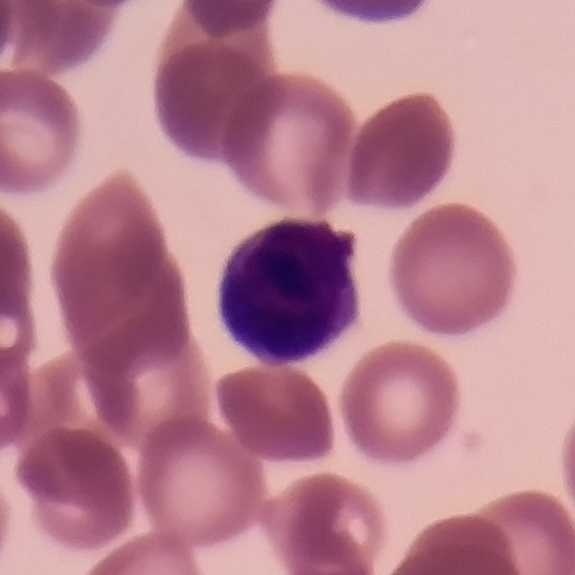White blood cell type = lymphocyte. Peripheral blood smear.